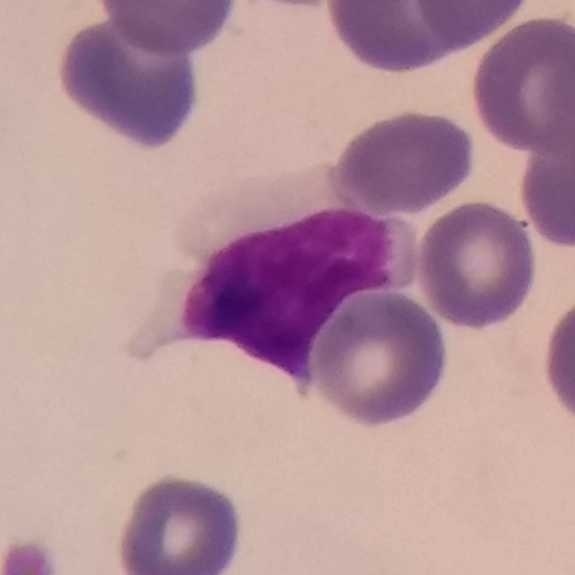
{"cell_type": "lymphocyte"}